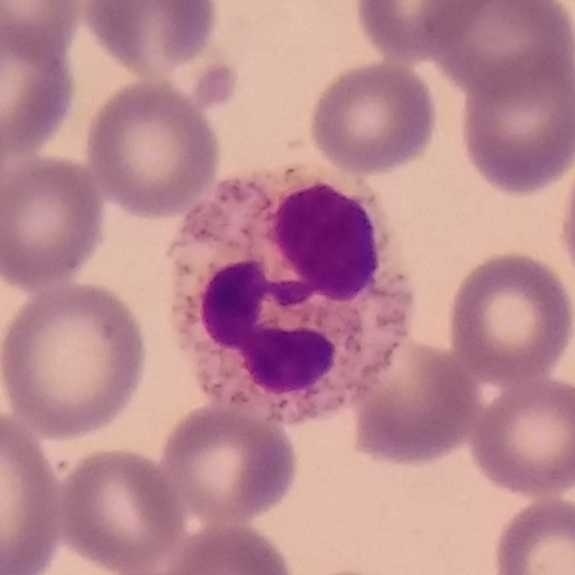
Peripheral blood smear showing a neutrophil granulocyte.